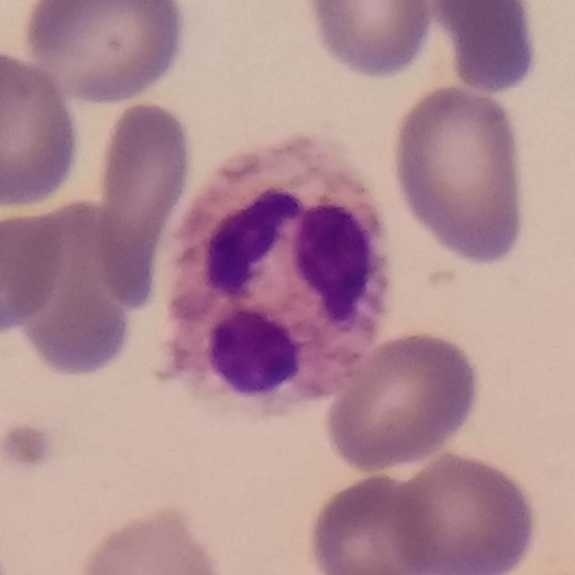
Image: Peripheral blood smear. Cell type: neutrophil.